Magnification 100× · peripheral blood smear — 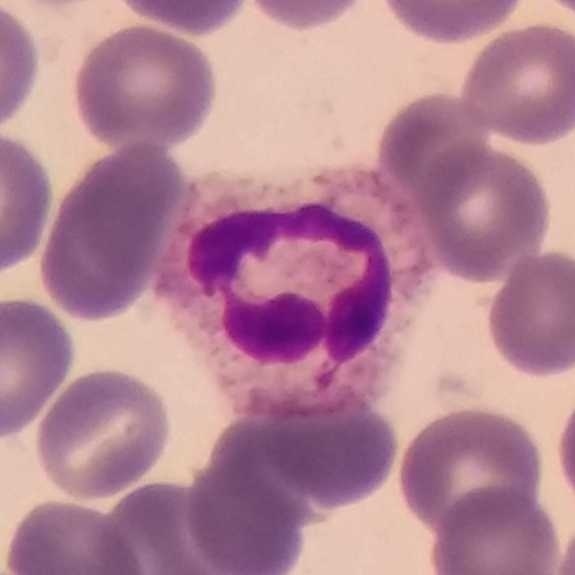Q: Which type of white blood cell is this?
A: A neutrophil granulocyte.